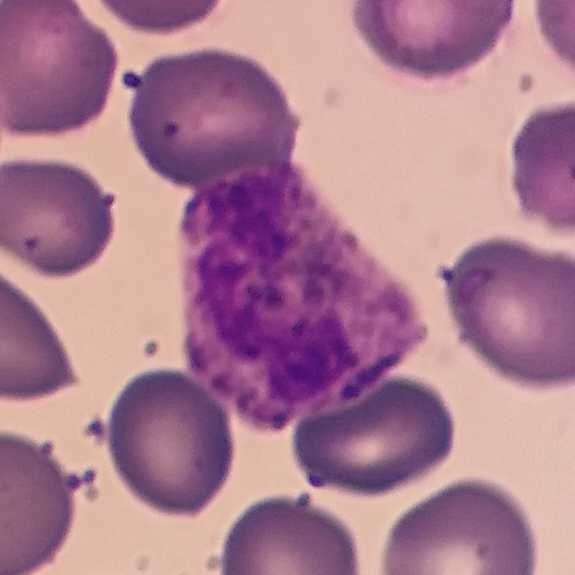
Peripheral blood film, single cell — neutrophil granulocyte.